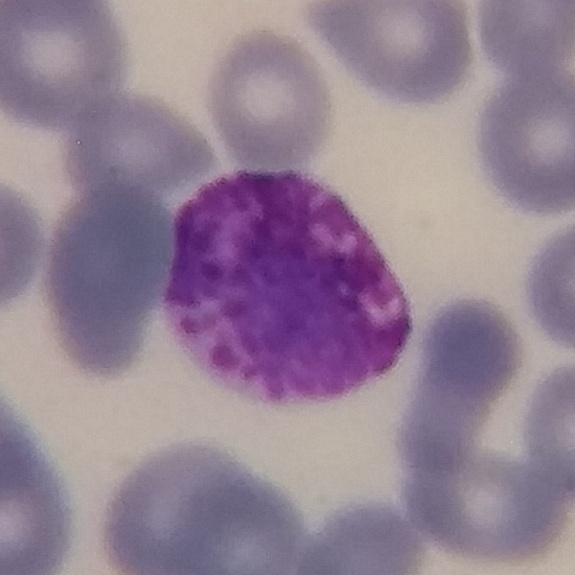
Preparation: Peripheral blood film. Photographed through a light microscope with a smartphone camera. Identified as a basophilic granulocyte.